Peripheral blood smear
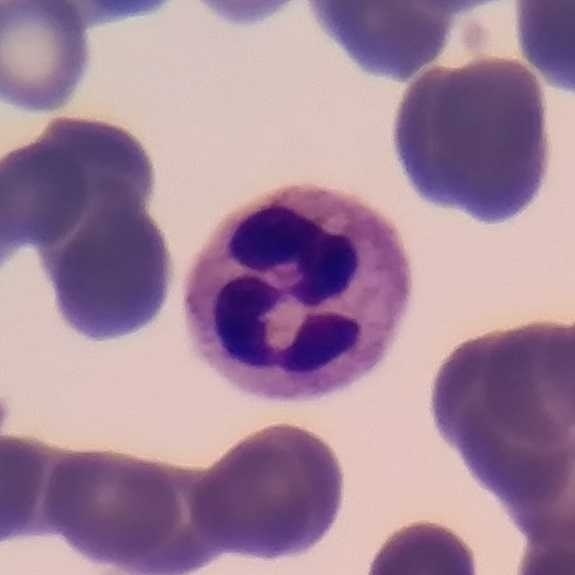The cell is neutrophil granulocyte.